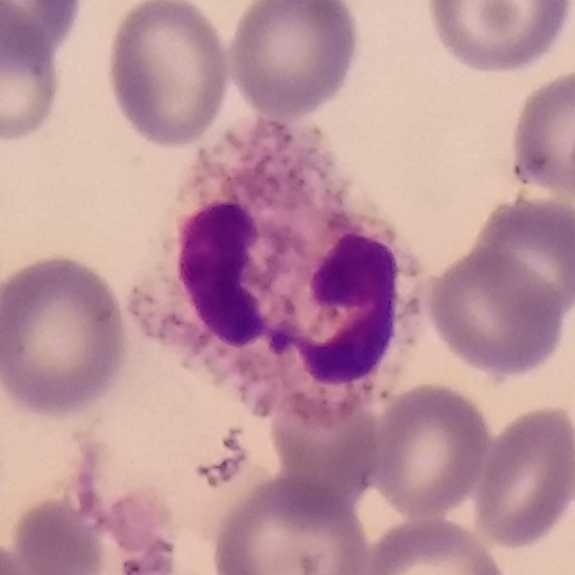
Preparation: Peripheral blood smear. The cell shown is a neutrophil.